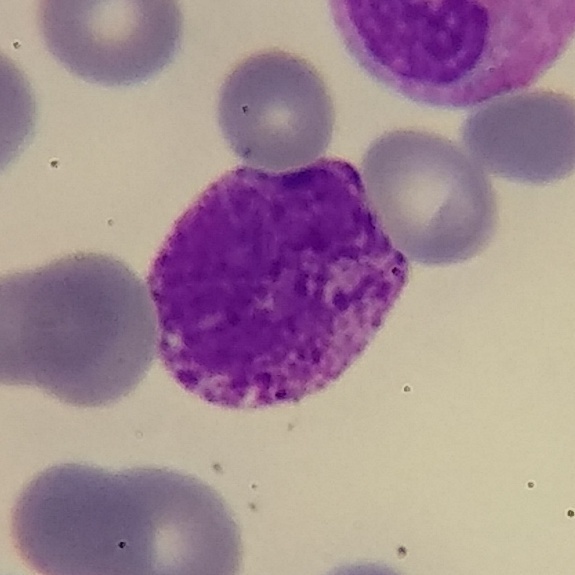

Single-cell crop. Peripheral blood smear. The white blood cell in this image is a basophilic granulocyte.